Cropped to one leukocyte. Peripheral blood smear.
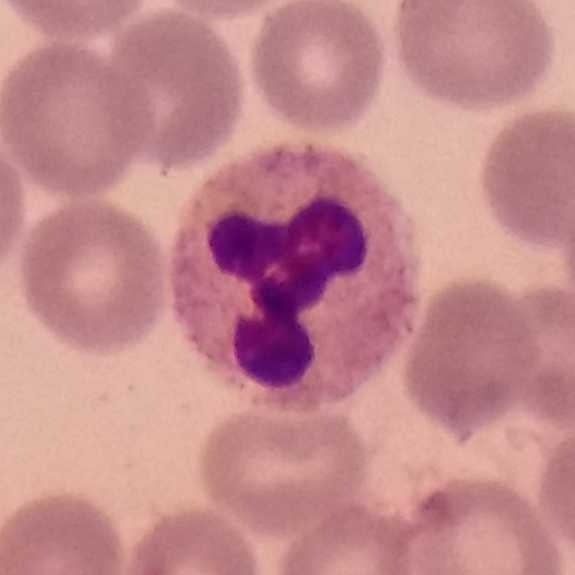The cell shown is a neutrophilic granulocyte.